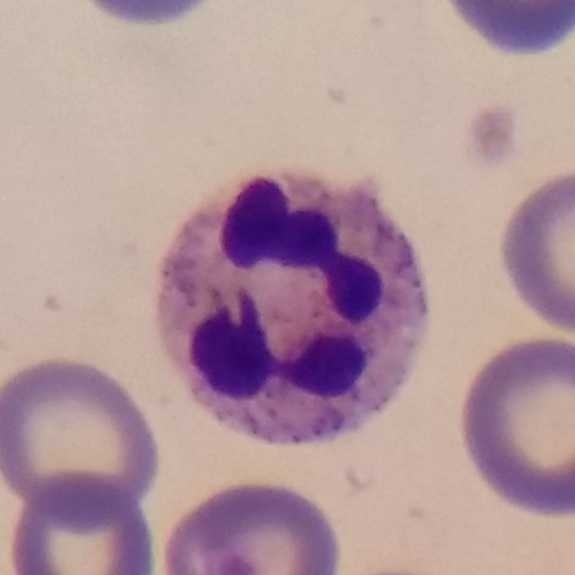 Morphology consistent with a neutrophilic granulocyte.